Giemsa stain. Peripheral blood film:
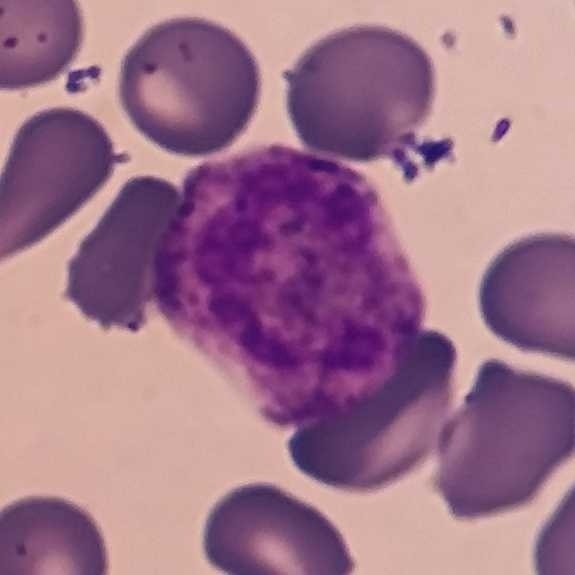

White blood cell type — neutrophil.